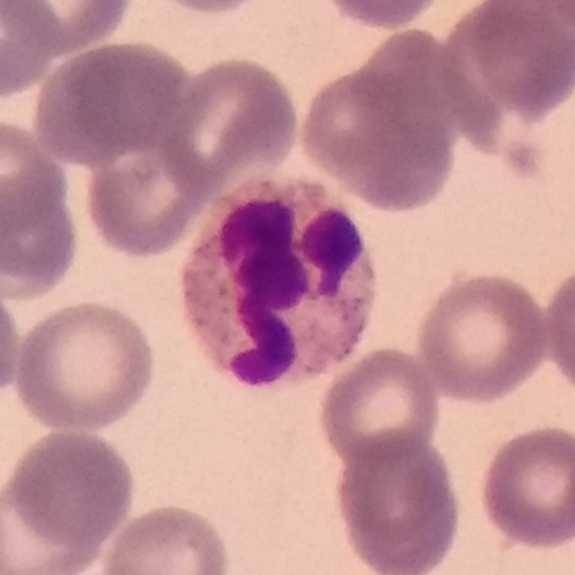Peripheral blood film, single cell — neutrophil.